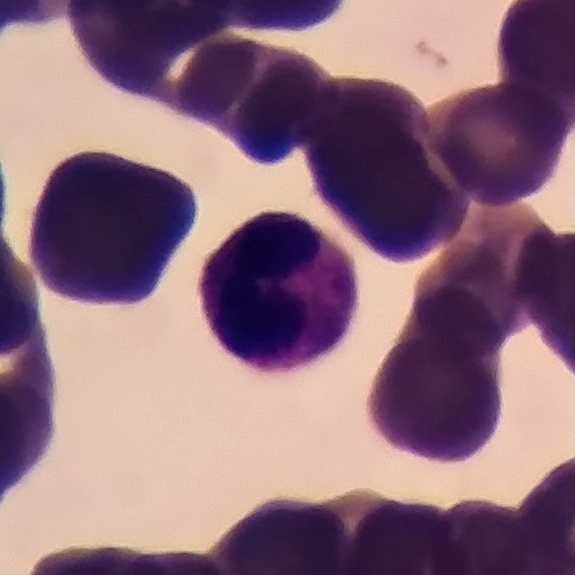 Peripheral blood film, single cell — neutrophil.